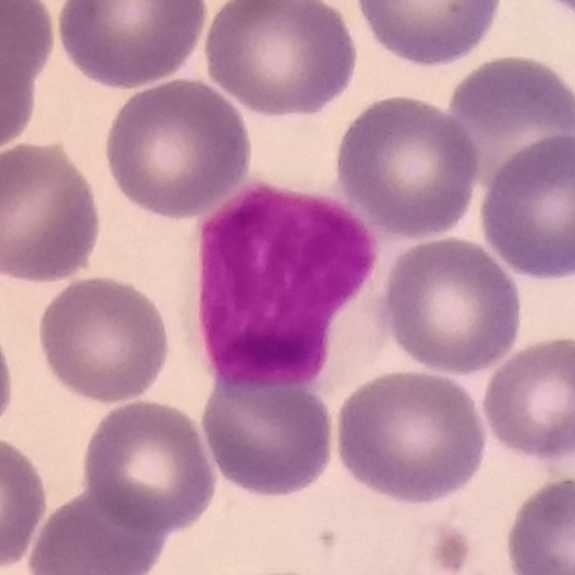 Stained with Giemsa. Peripheral blood film. Cell type: lymphocyte.